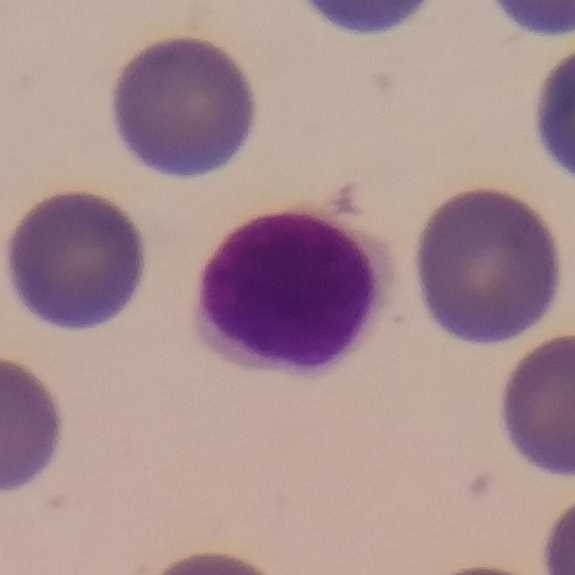
Peripheral blood smear · cropped to one leukocyte.
This is a lymphocyte.